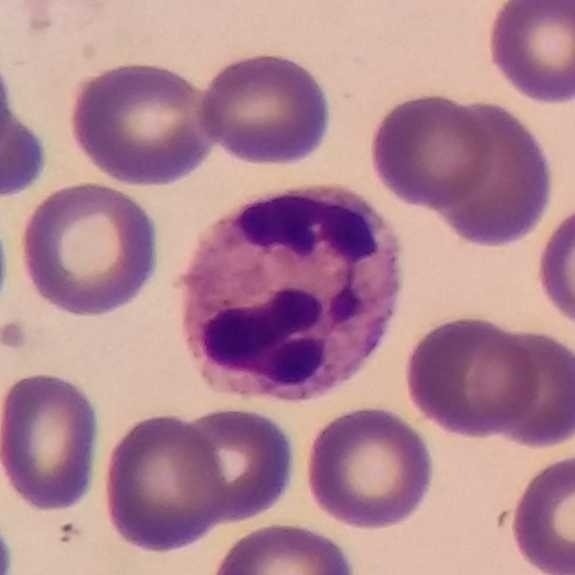 Peripheral blood film · single-cell field. Morphology consistent with a neutrophilic granulocyte.